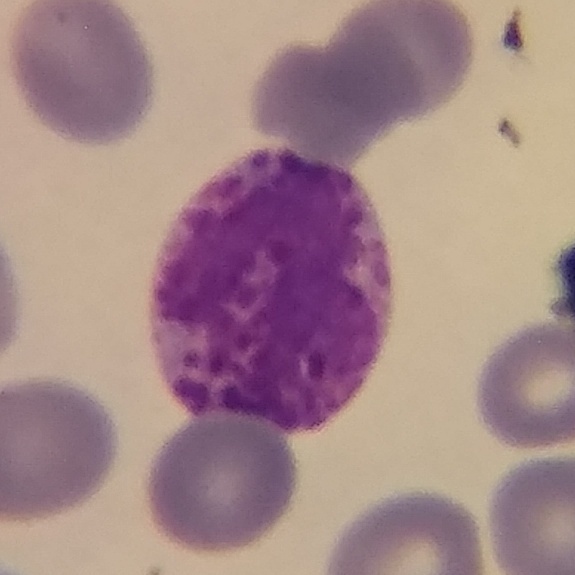
{"cell_type": "basophilic granulocyte", "lineage": "myeloid"}